Magnification 100× · peripheral blood smear
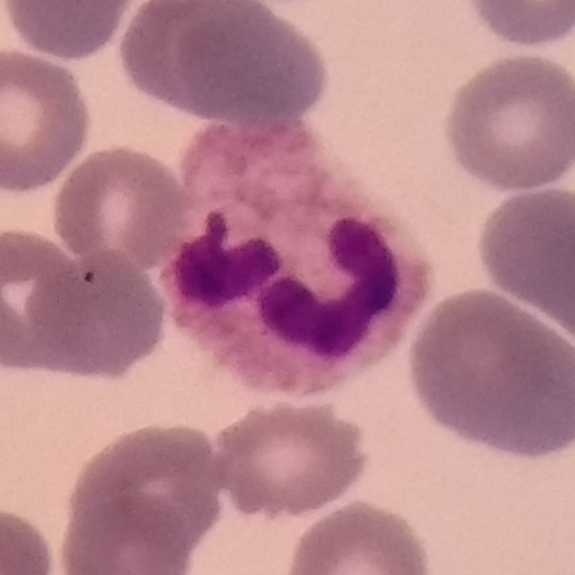 Impression → neutrophil granulocyte.